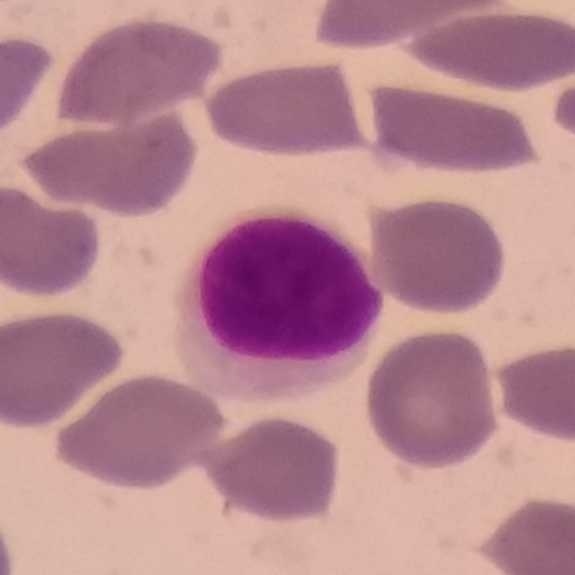
This is a lymphocyte.

Preparation: Peripheral blood film.